Peripheral blood film · 100× magnification · cropped to one leukocyte:
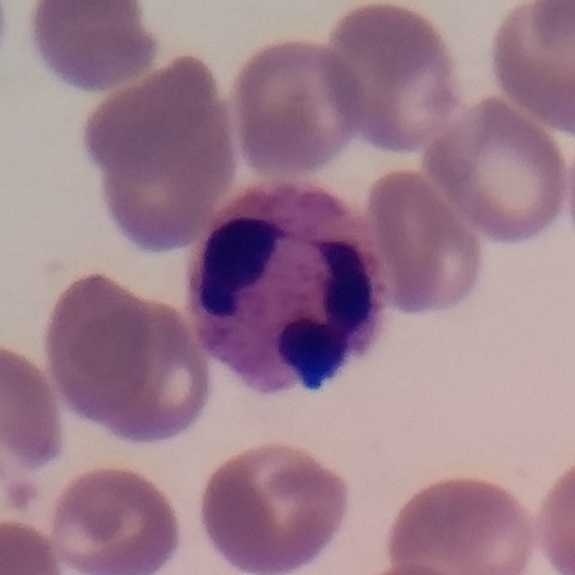Neutrophilic granulocyte.